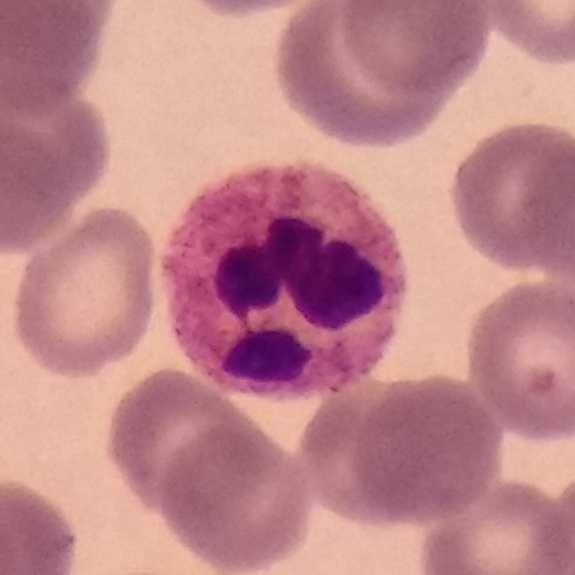 Q: Which type of white blood cell is this?
A: It is a neutrophilic granulocyte.